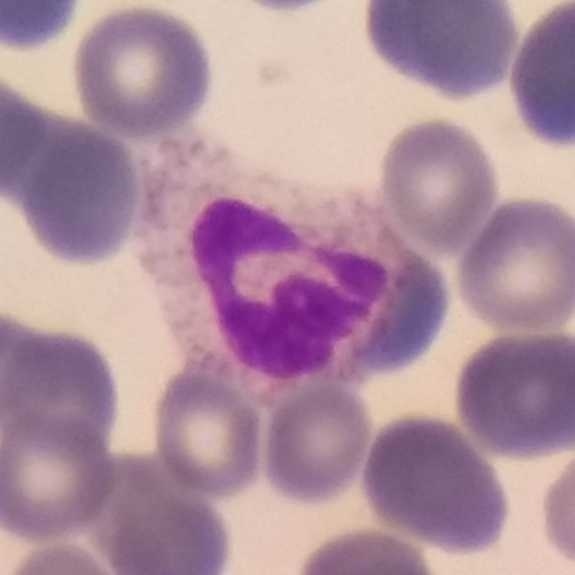Single cell identified as a neutrophilic granulocyte.

Acquisition: Peripheral blood smear.